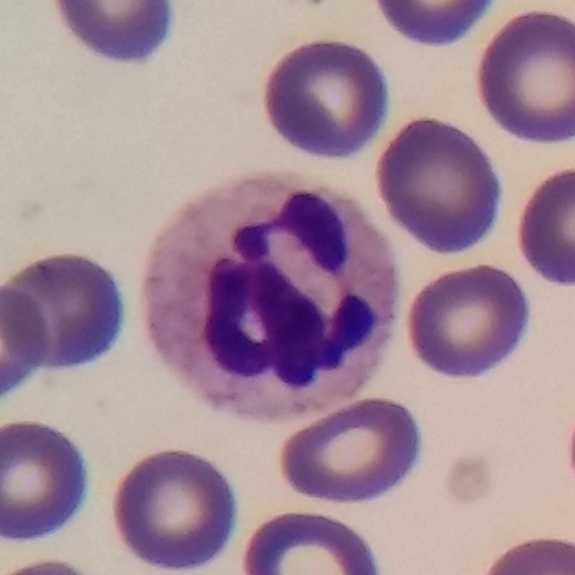 The white blood cell in this image is a neutrophil granulocyte.
Peripheral blood smear · magnification 100× · single white blood cell cropped from the smear photograph.